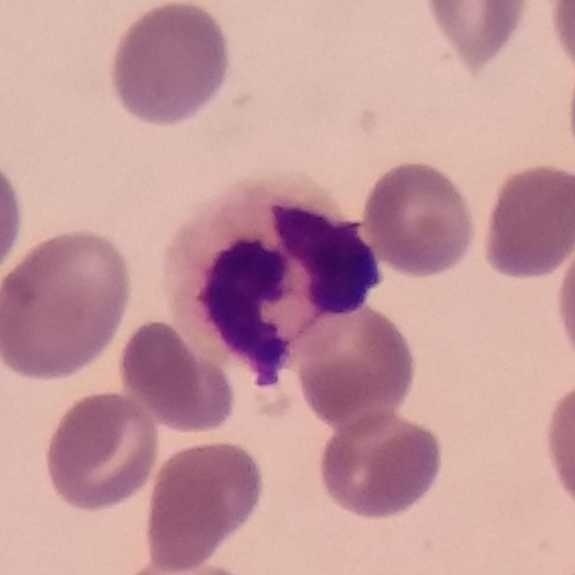 Morphology — neutrophil.
Peripheral blood film; smartphone camera mounted on the microscope eyepiece; 575×575.